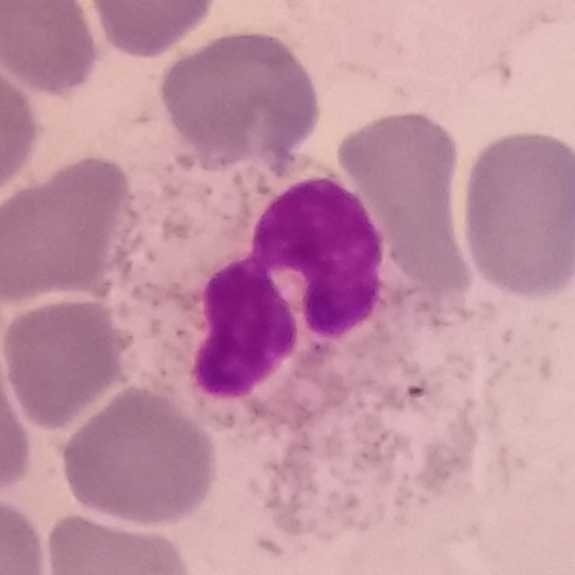
Specimen: peripheral blood film.
Classification: neutrophilic granulocyte.
Lineage: myeloid.